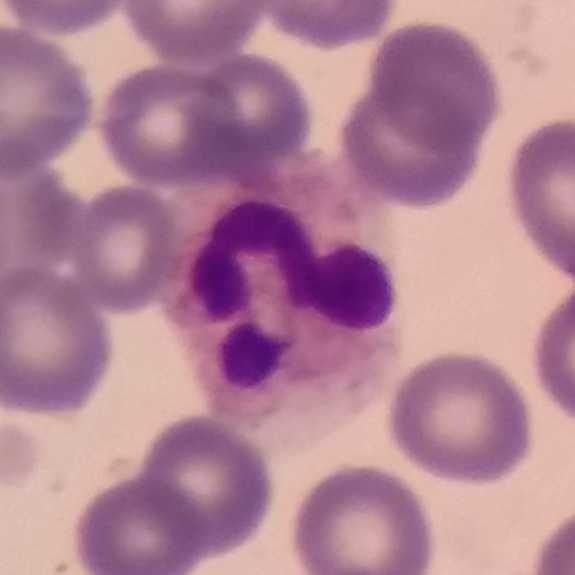 Neutrophil granulocyte. Image: Peripheral blood smear.